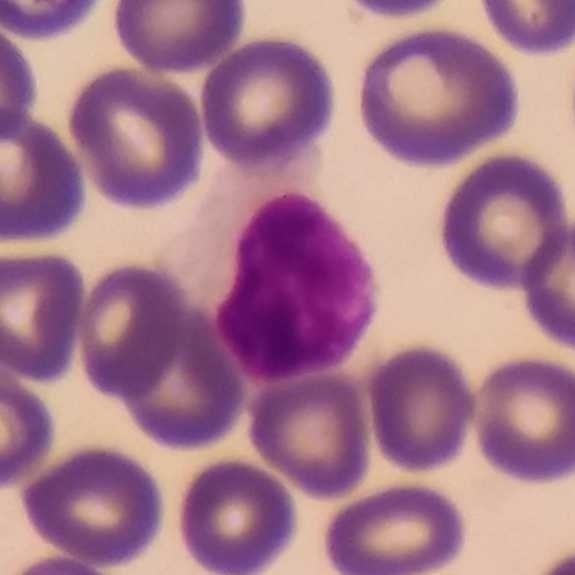 Cell type: lymphocyte.